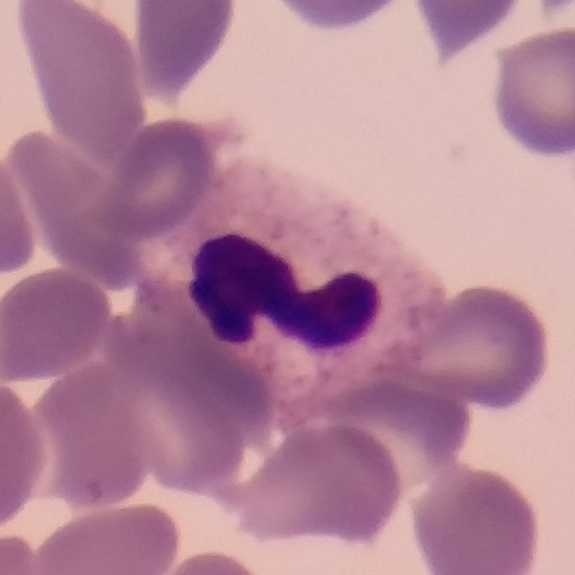 Peripheral blood smear. Q: What type of cell is this?
A: A neutrophil.